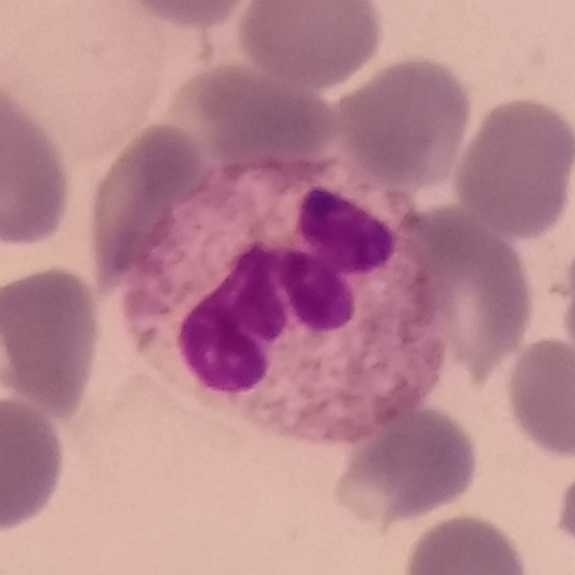

Specimen: peripheral blood smear.
Morphological class: neutrophilic granulocyte.
Lineage: myeloid.